Peripheral blood film — 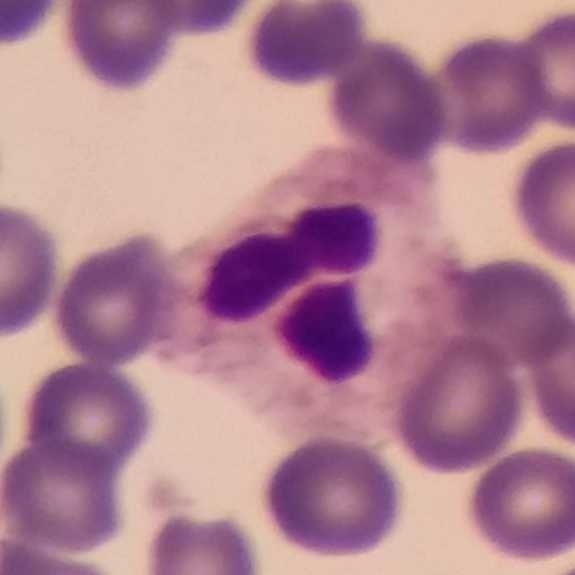 Identified as a neutrophil.